Imaged at 100×; peripheral blood smear:
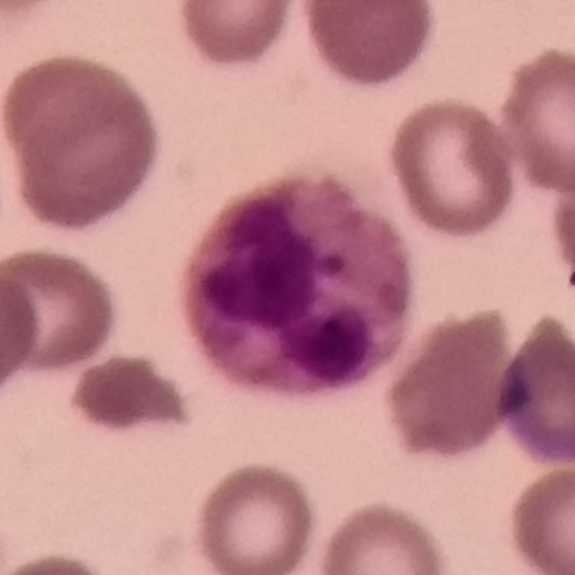Impression → neutrophil.